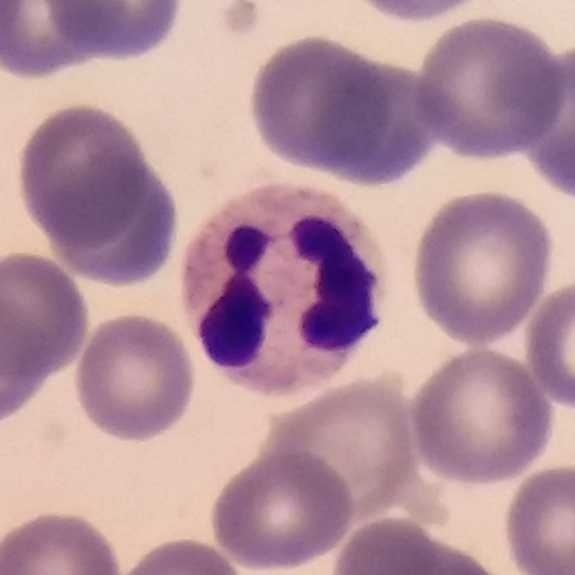 Q: What type of cell is this?
A: This is a neutrophil.